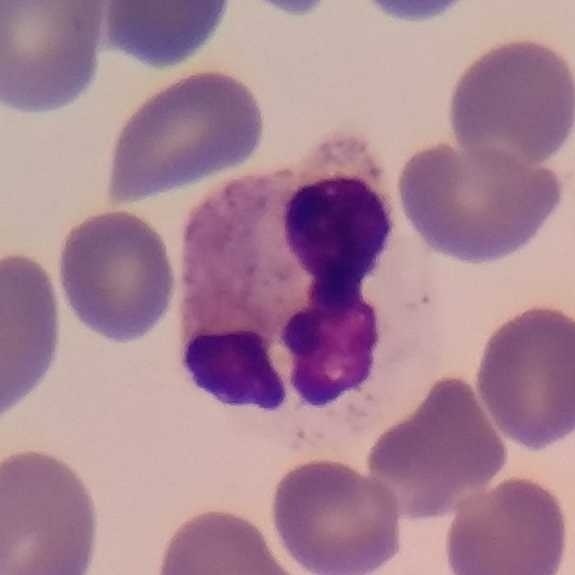
Impression → neutrophil.